Giemsa stain · peripheral blood film: 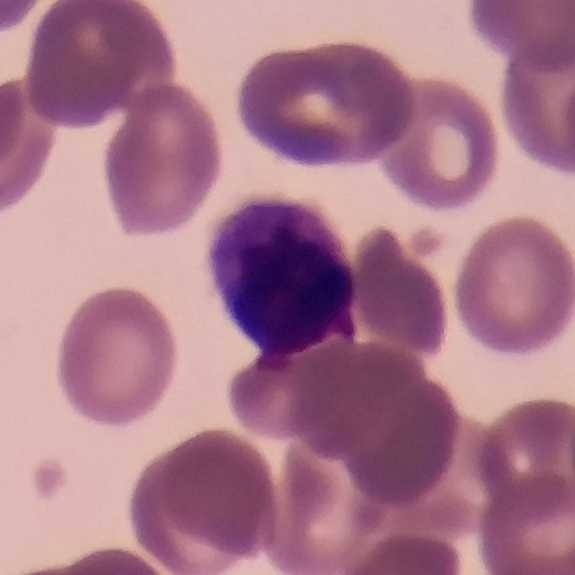The white blood cell type is lymphocyte.